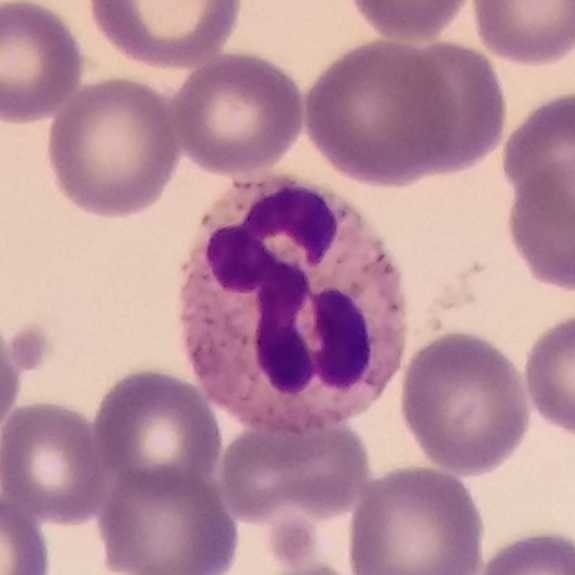Preparation: Peripheral blood smear; Giemsa-stained; cropped to one leukocyte.

Classification: neutrophil granulocyte.